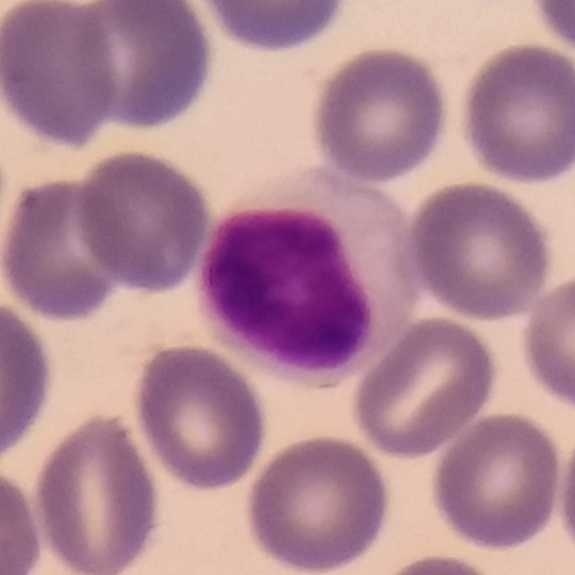Peripheral blood smear showing a lymphocyte.